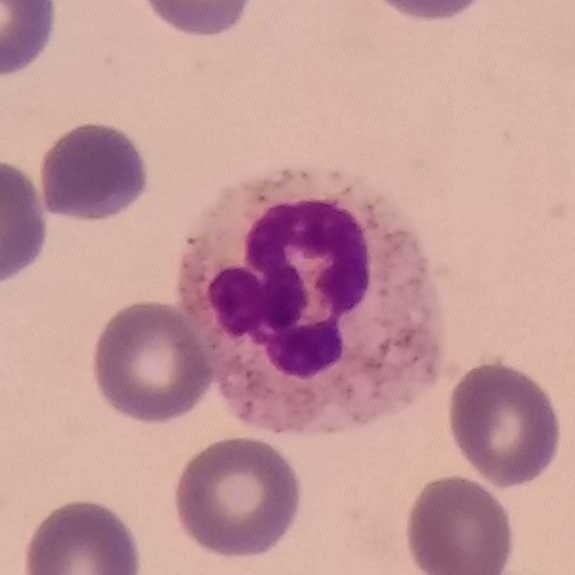Acquisition: Giemsa-stained; peripheral blood smear; single white blood cell cropped from the smear photograph. Cell type = neutrophil.